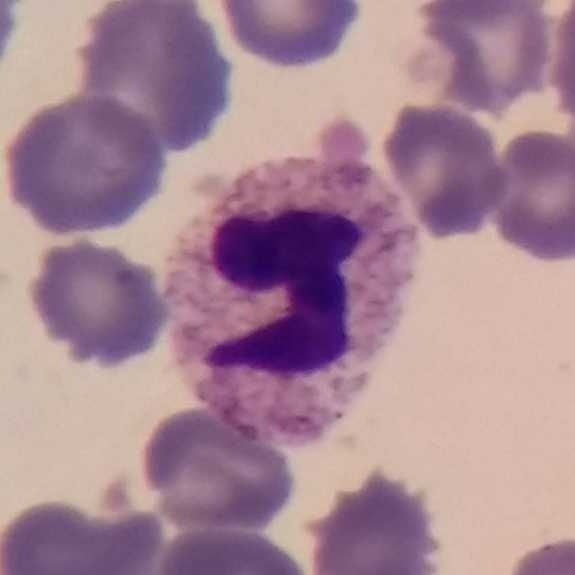
Peripheral blood film. Magnification 100×. Q: What is the morphological classification of this cell?
A: It is a neutrophil granulocyte.